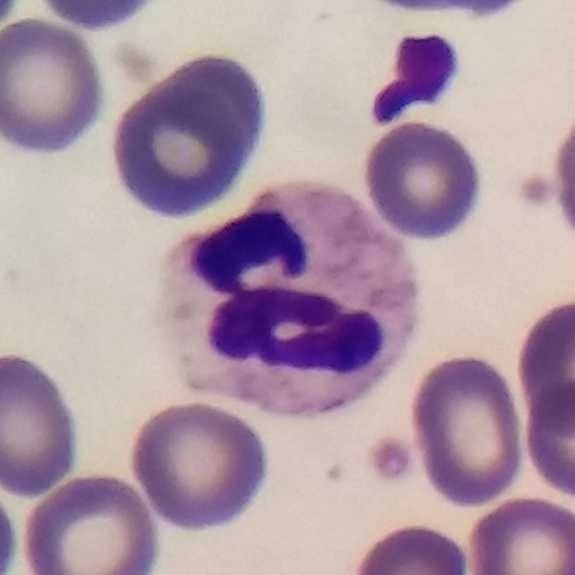
Q: What type of cell is this?
A: It is a neutrophil granulocyte.